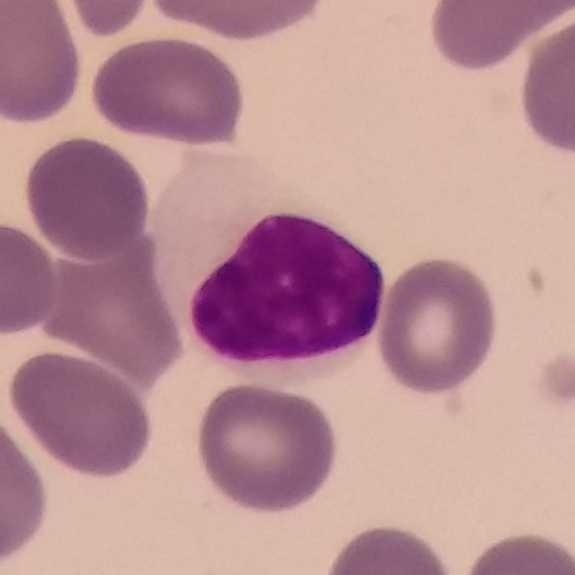

Cell: lymphocyte.